Peripheral blood smear. Phone-camera image taken through the microscope ocular
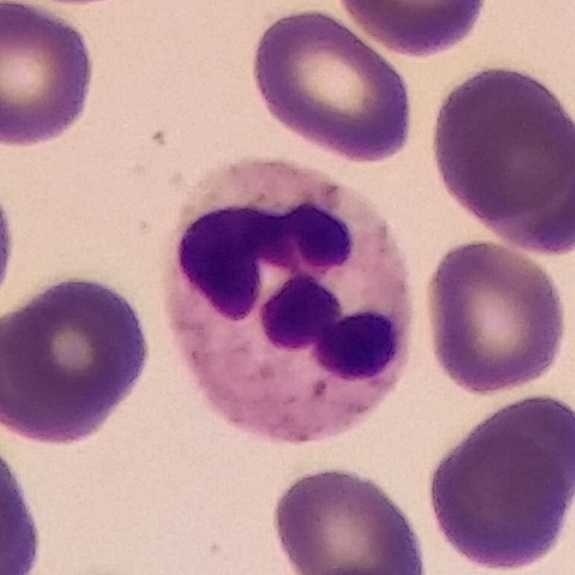

Single cell identified as a neutrophil granulocyte.